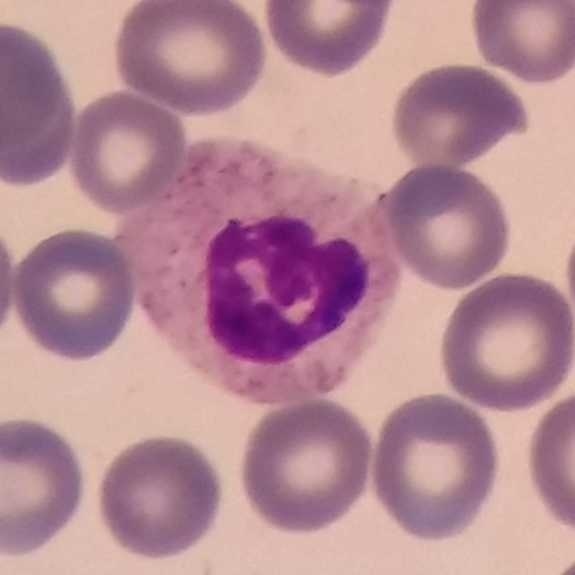 Identified as a neutrophil granulocyte.
Image: Peripheral blood film. Magnification 100×.